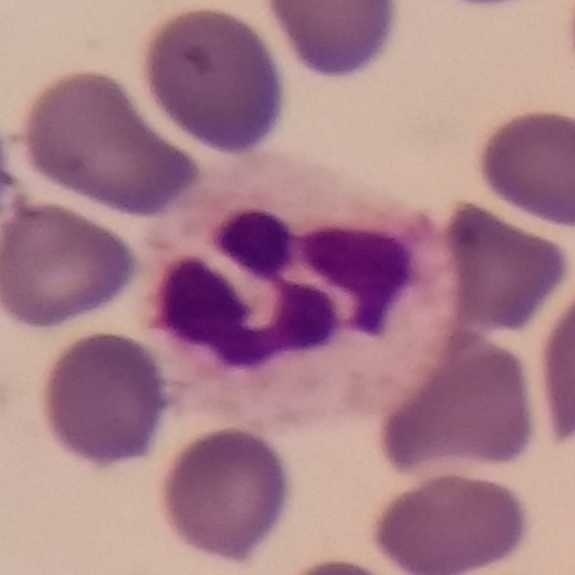

From a peripheral blood smear: a neutrophil.